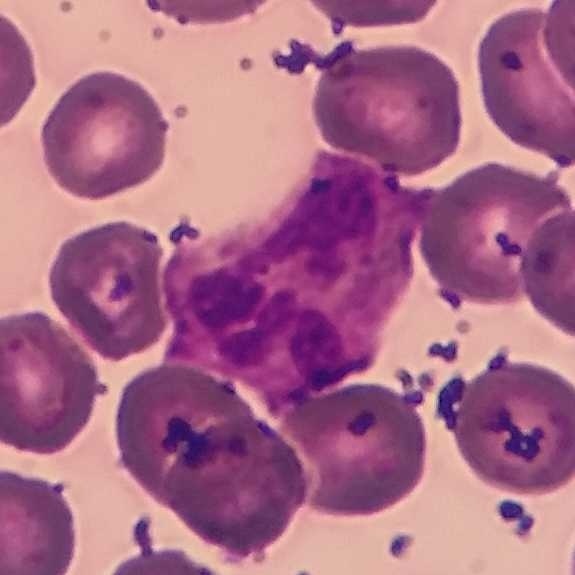 Giemsa stain; 100× magnification; peripheral blood film.
The classification is neutrophil granulocyte.